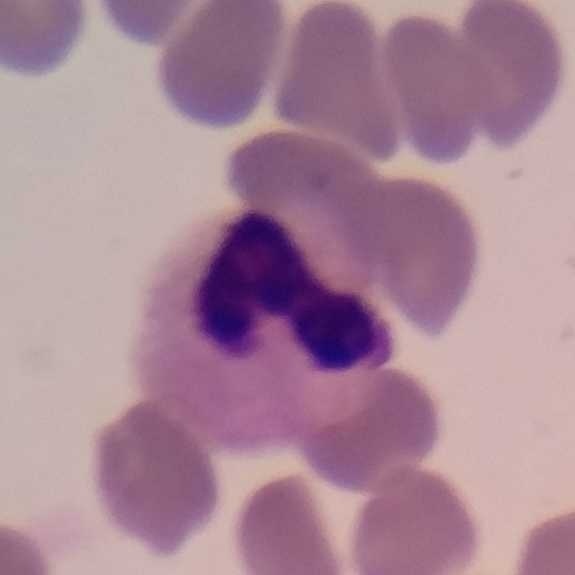

Classification — neutrophil granulocyte.